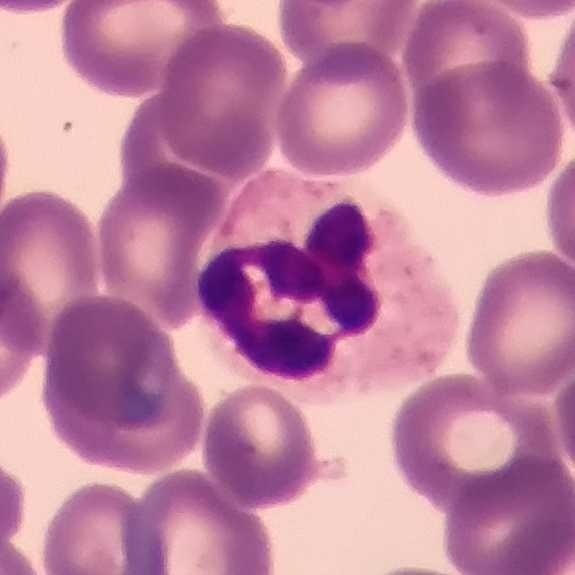

Single-cell field · smartphone camera mounted on the microscope eyepiece · peripheral blood smear.
Q: Which type of white blood cell is this?
A: A neutrophil.